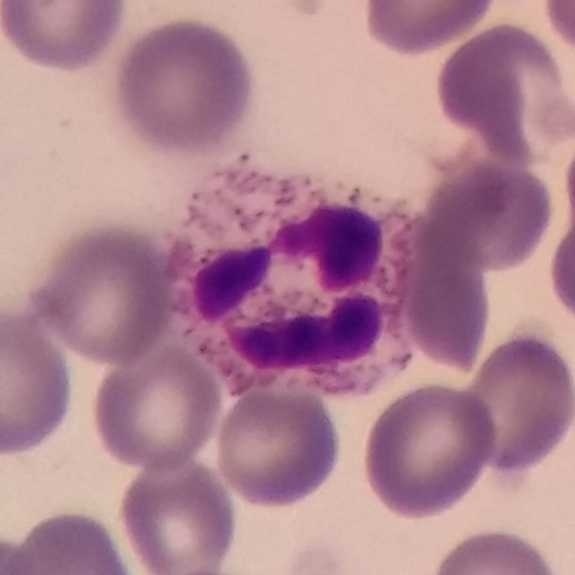
Peripheral blood smear showing a neutrophil.